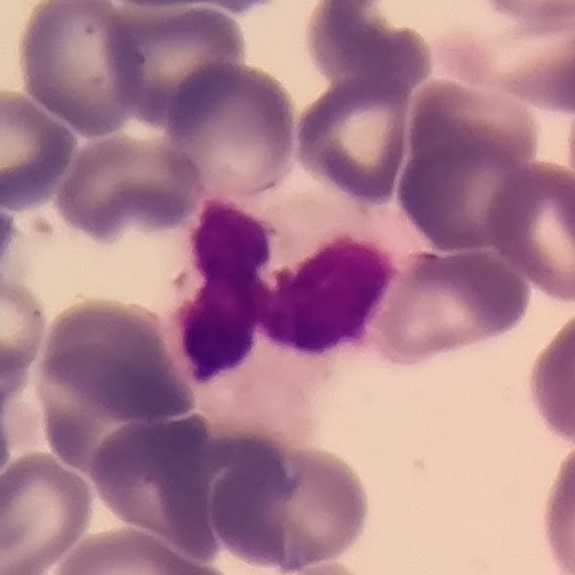The cell shown is a neutrophil. Context: Peripheral blood film.